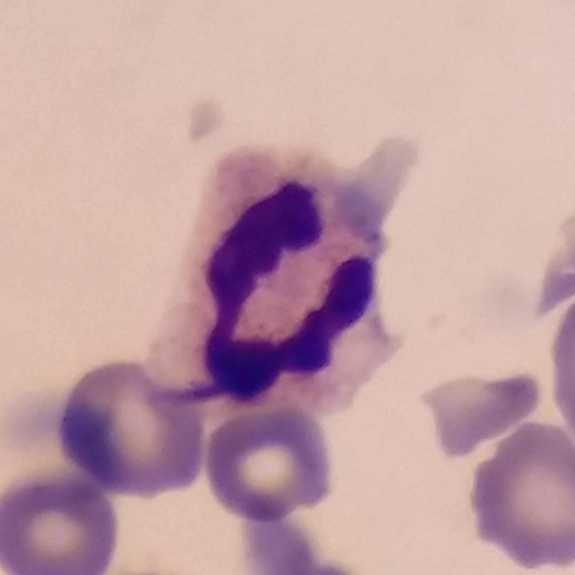 Specimen: peripheral blood smear.
Morphological class: neutrophilic granulocyte.
Lineage: myeloid.